Peripheral blood film — 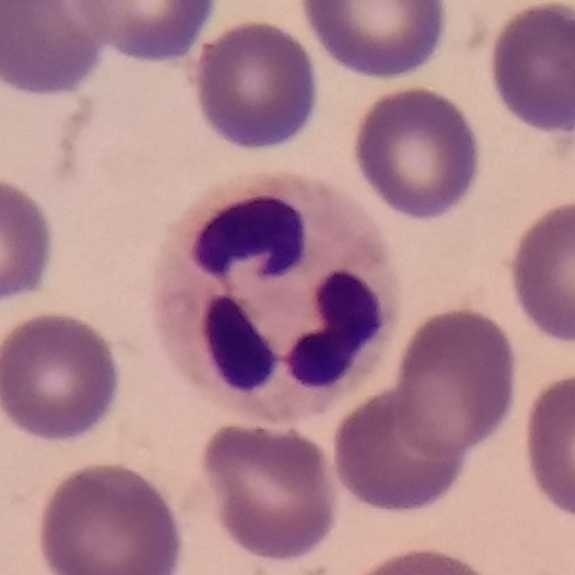 A neutrophil granulocyte.